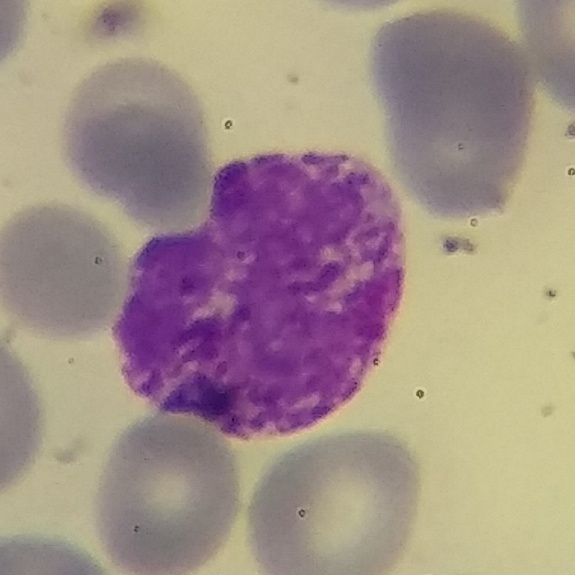

Q: Which type of white blood cell is this?
A: Basophilic granulocyte.